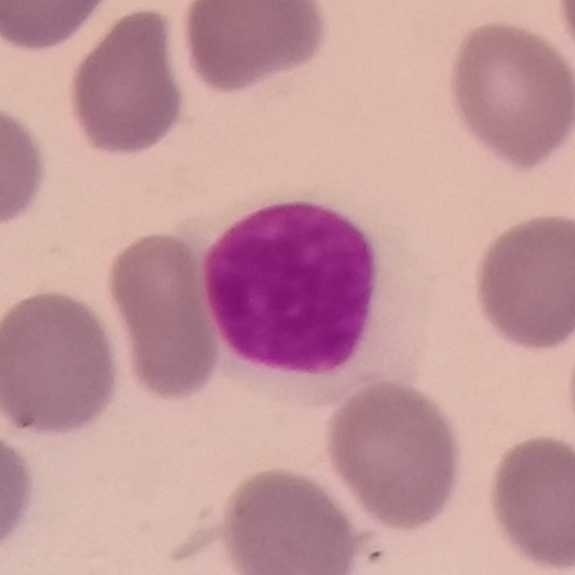 The cell is lymphocyte.